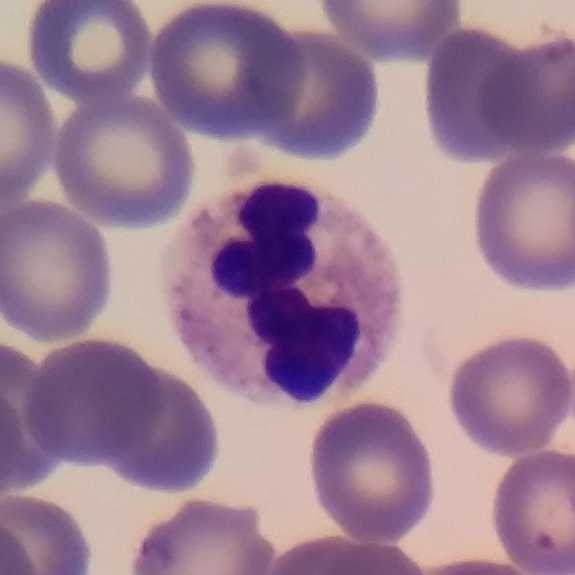

Q: What is the morphological classification of this cell?
A: A neutrophil granulocyte.

Preparation: Single white blood cell cropped from the smear photograph; peripheral blood smear.